Cropped to one leukocyte; peripheral blood film; phone-camera image taken through the microscope ocular — 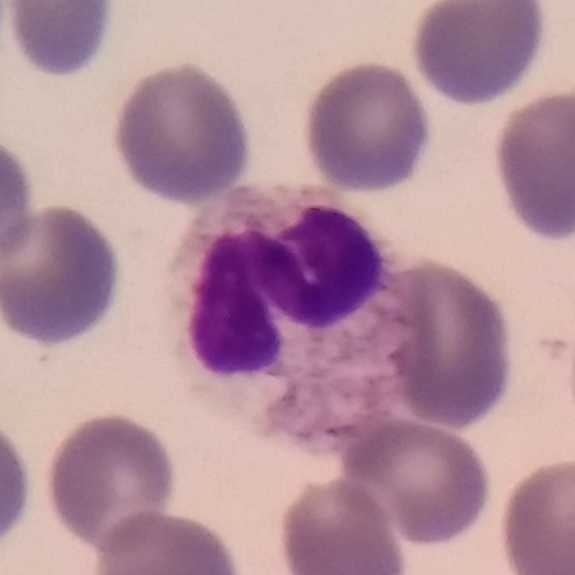 The cell shown is a neutrophilic granulocyte.